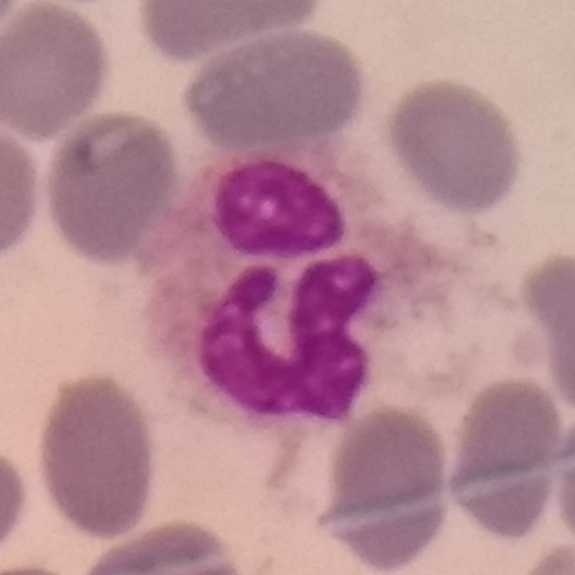Specimen: peripheral blood film.
Classification: neutrophil granulocyte.